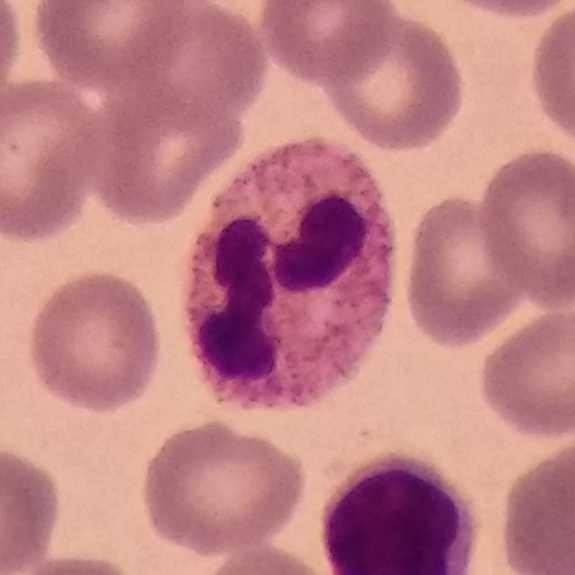 Peripheral blood film, single cell — neutrophil.